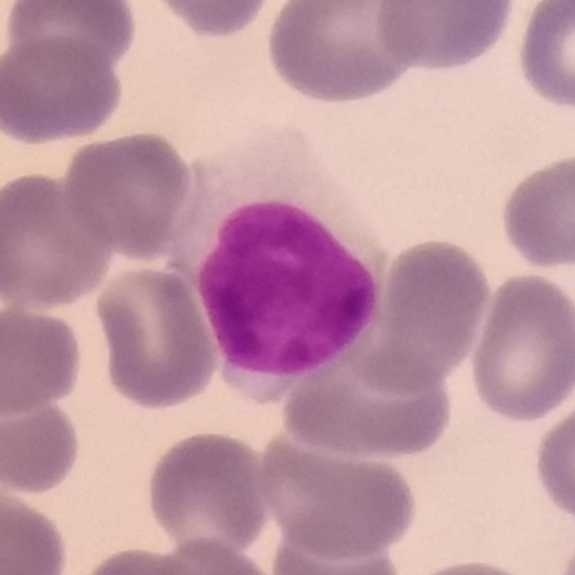
Acquisition: Peripheral blood smear · Giemsa-stained.

Classification = lymphocyte.